Peripheral blood film: 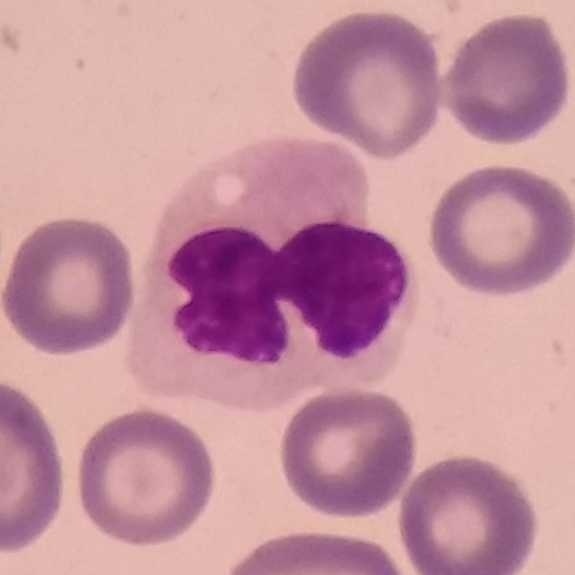

Specimen: peripheral blood smear.
White blood cell type: monocyte.